Peripheral blood film.
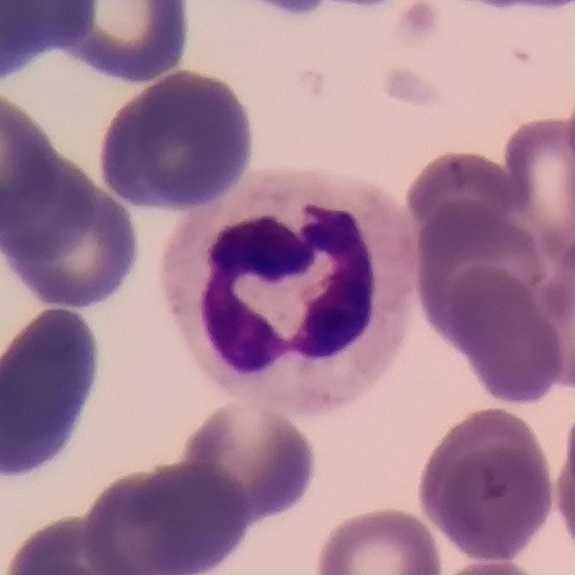
A neutrophil granulocyte.